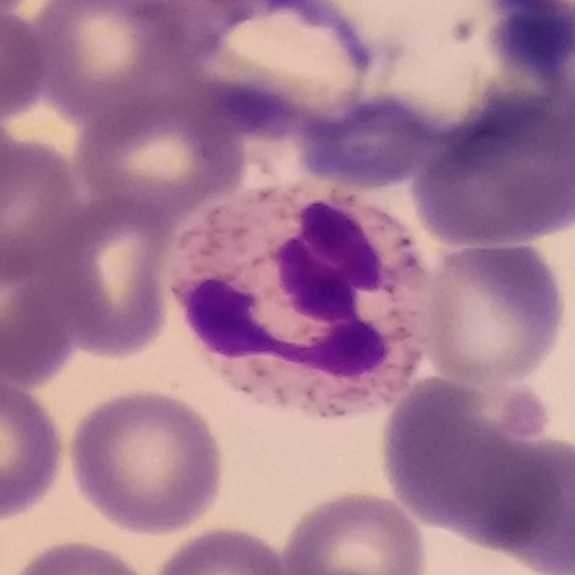From a peripheral blood smear: a neutrophil.